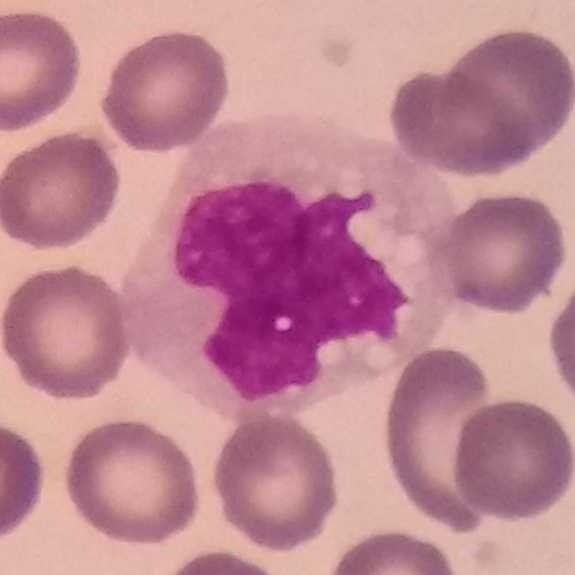Q: Identify the cell.
A: This is a monocyte.

Image: Peripheral blood smear.